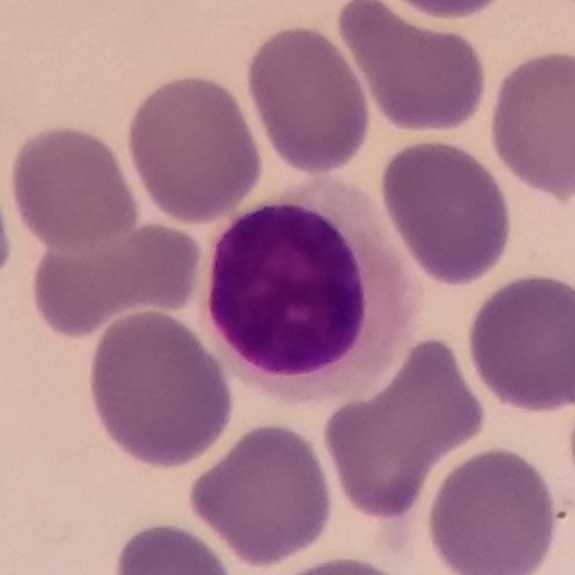 Acquisition: Peripheral blood smear.

Q: What cell is this?
A: This is a lymphocyte.